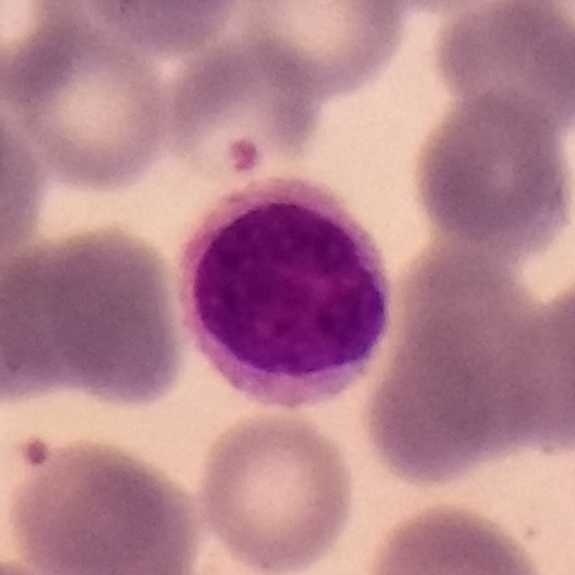

Cell type: lymphocyte.